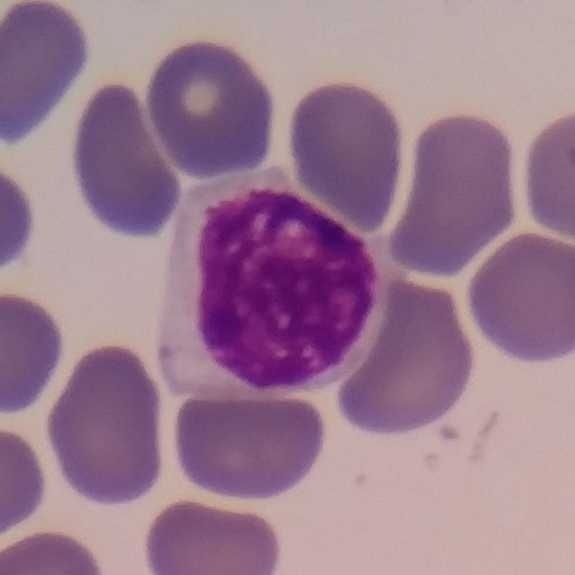

Preparation: Giemsa-stained; peripheral blood smear.
The cell shown is a lymphocyte.